Peripheral blood smear; magnification 100× — 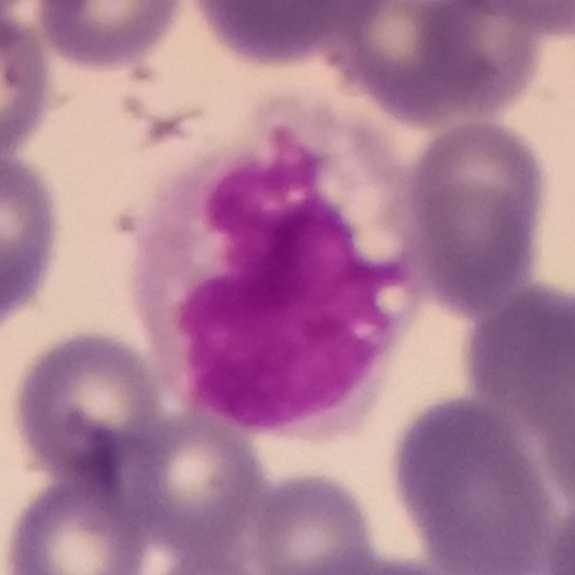
White blood cell type = monocyte.